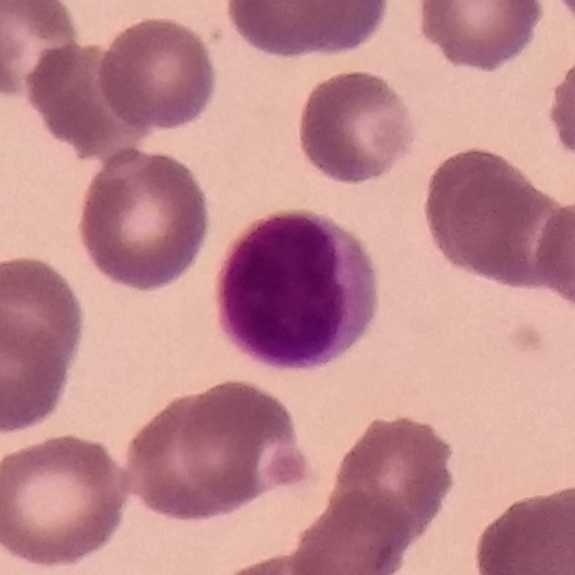

Single cell identified as a lymphocyte. Image size 575×575; peripheral blood smear.